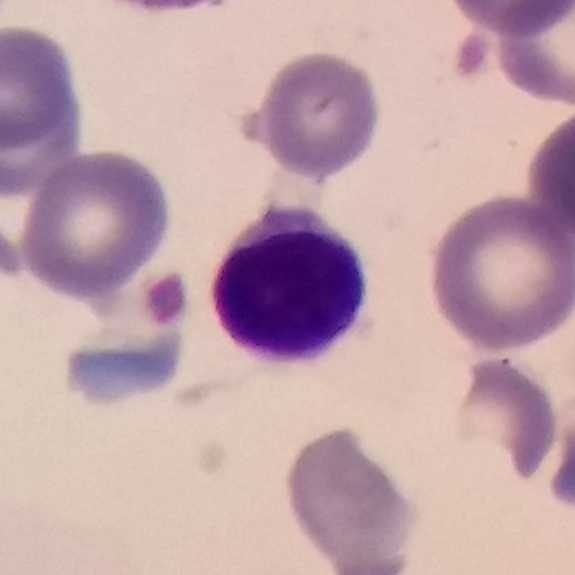

Acquisition: Peripheral blood film. Single-cell crop.

Impression — lymphocyte.